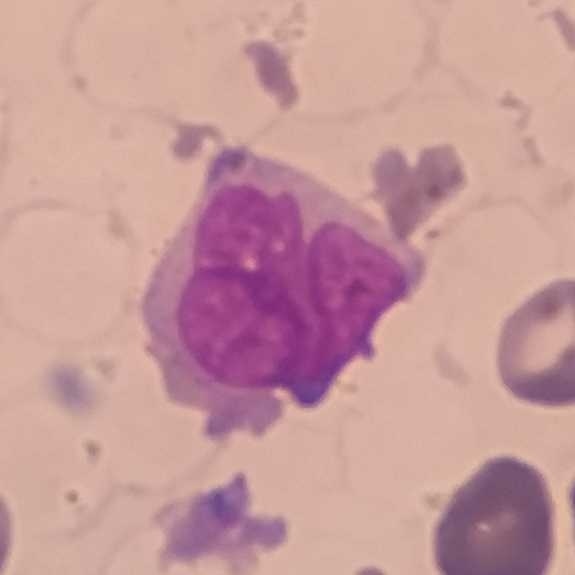 Morphology consistent with a monocyte.
Photographed through a light microscope with a smartphone camera; peripheral blood film; magnification 100×.